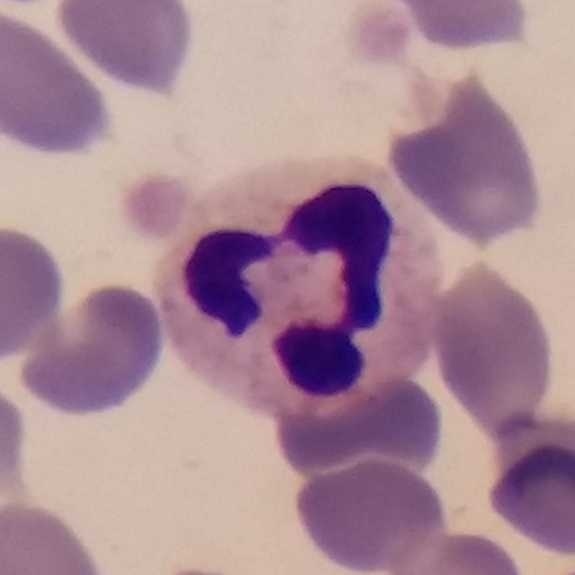 Acquisition: Peripheral blood film; 575×575 px.

Q: Classify this leukocyte.
A: A neutrophil granulocyte.